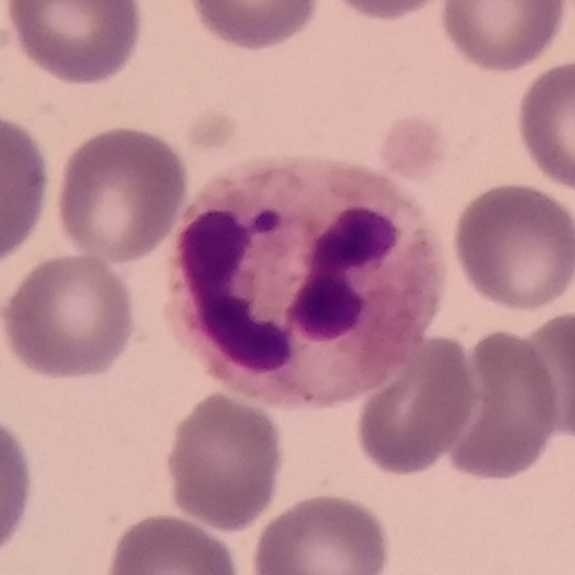

Peripheral blood film, single cell — neutrophilic granulocyte.